Smartphone photomicrograph; peripheral blood smear; 100× magnification: 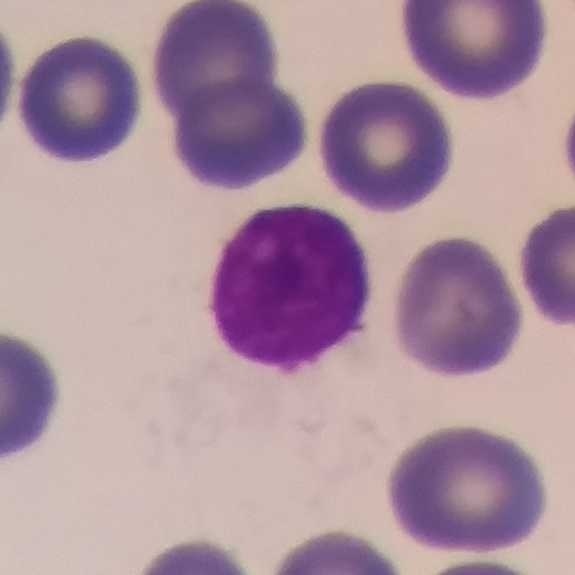

Specimen: peripheral blood smear.
Morphological class: lymphocyte.
Lineage: lymphoid.